Smartphone photomicrograph. Peripheral blood film: 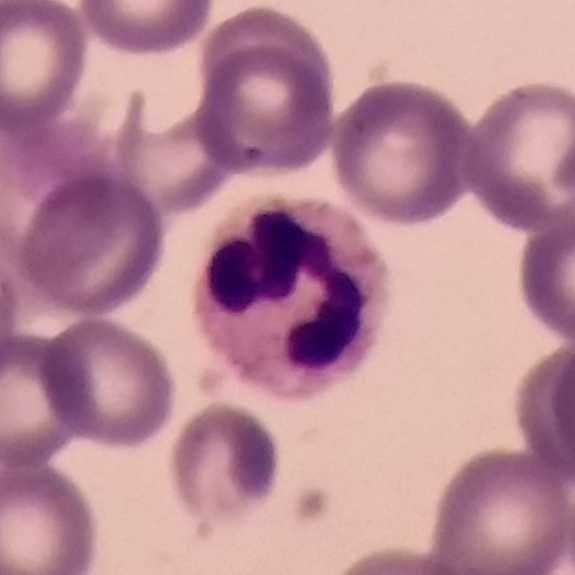
The white blood cell in this image is a neutrophil.